Peripheral blood film · stained with Giemsa · single-cell field:
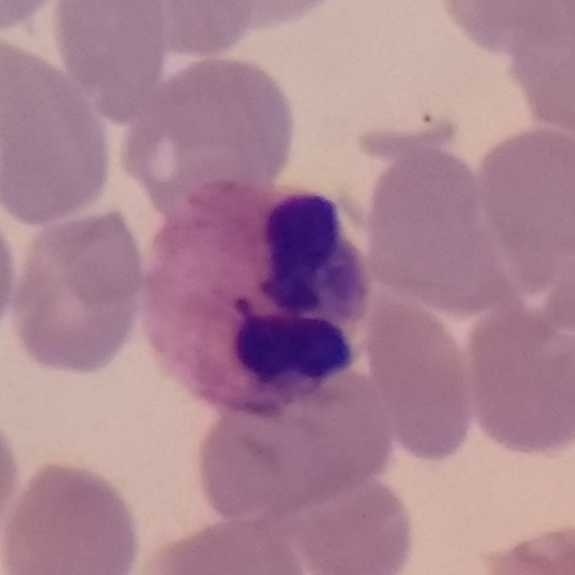Neutrophil.